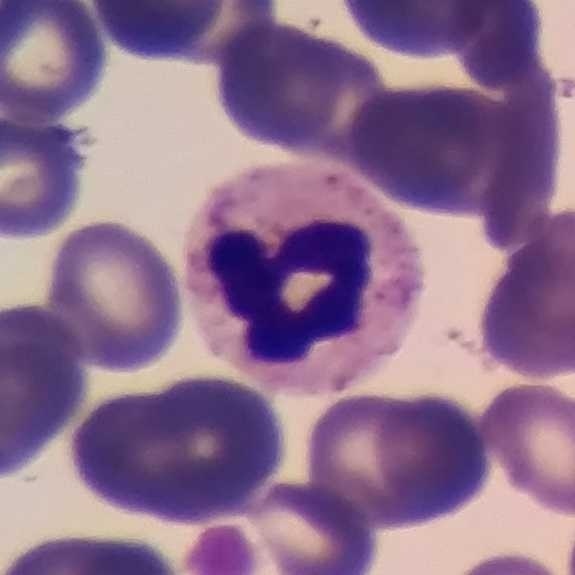
Preparation: Peripheral blood smear.

Morphology consistent with a neutrophil.